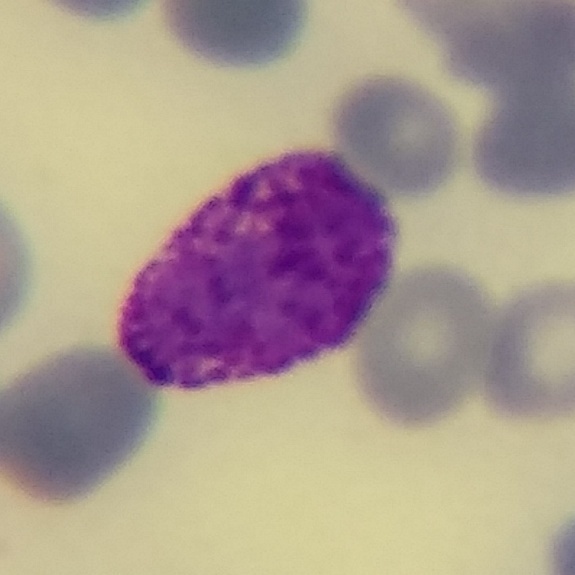

The white blood cell in this image is a basophilic granulocyte.

Image: Cropped to one leukocyte · peripheral blood film.